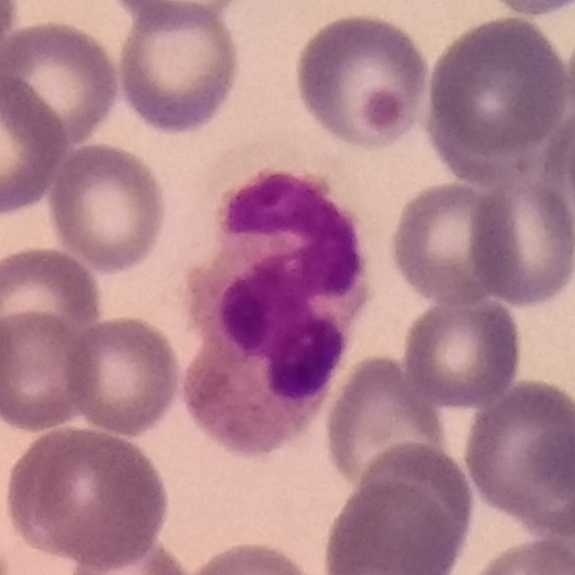
This is a neutrophil.
Single-cell field; peripheral blood film.